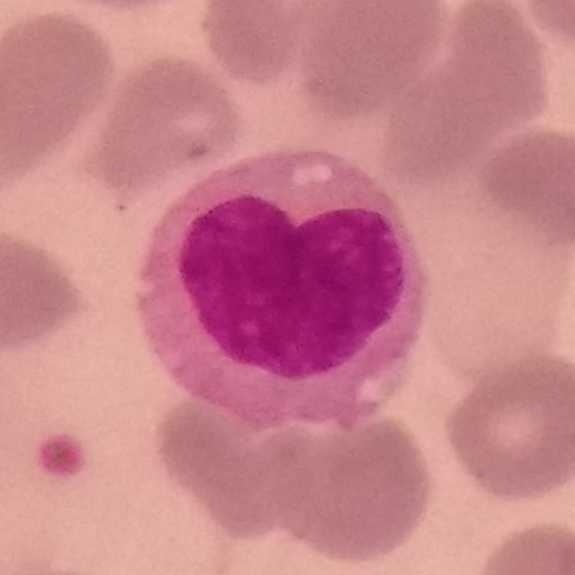

Q: Classify this leukocyte.
A: This is a monocyte.

Image: Peripheral blood smear.